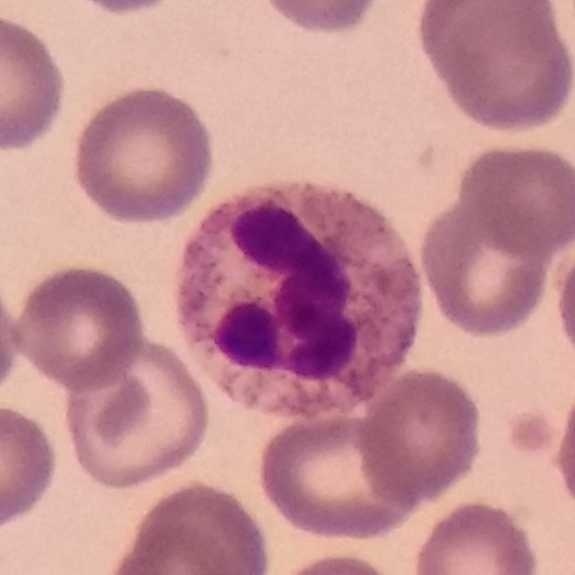
The cell shown is a neutrophilic granulocyte.